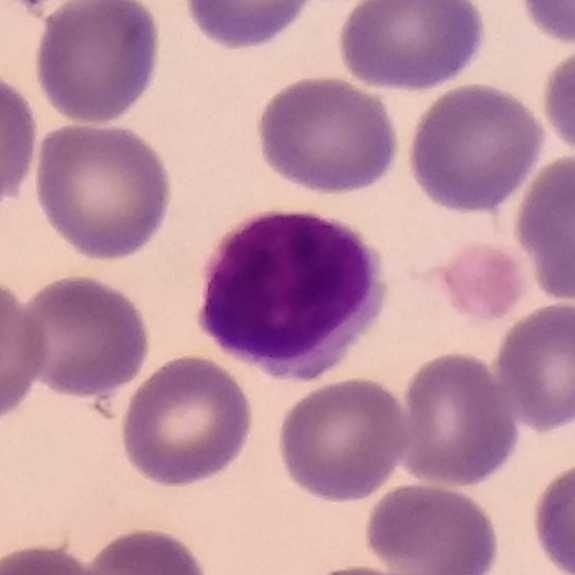Morphological class — lymphocyte.